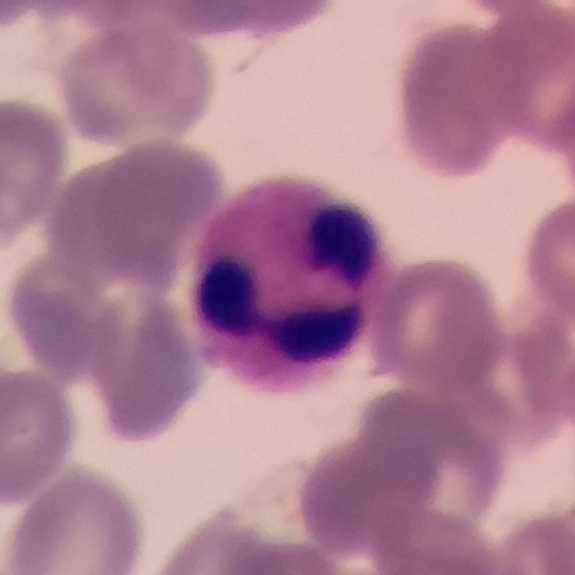This is a neutrophil granulocyte.

Peripheral blood film.